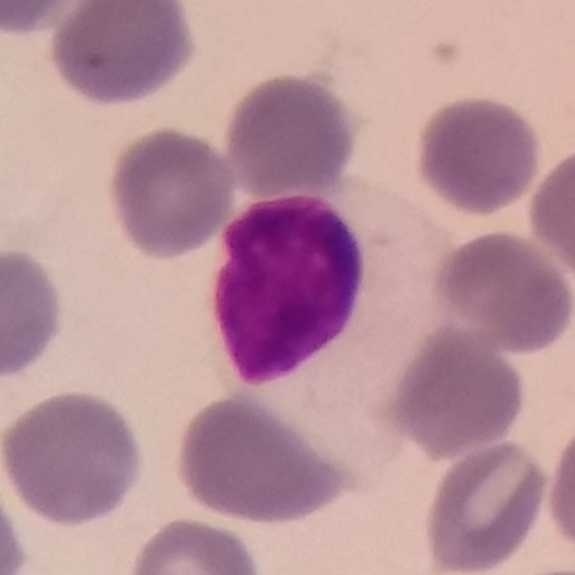
Q: Which cell type is shown here?
A: This is a lymphocyte.
Peripheral blood film.